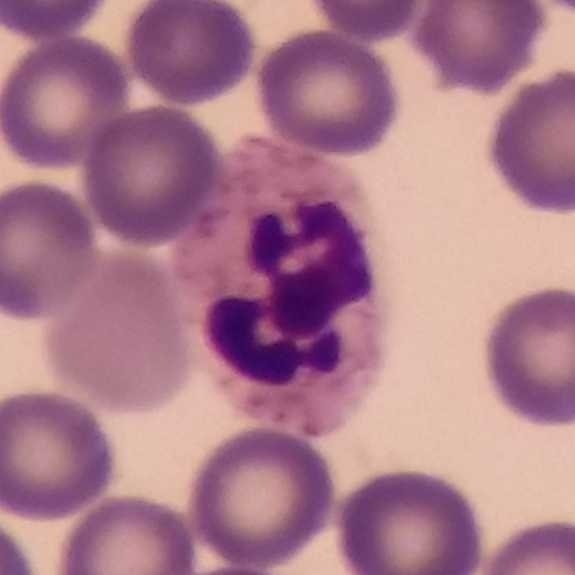 This is a neutrophil.